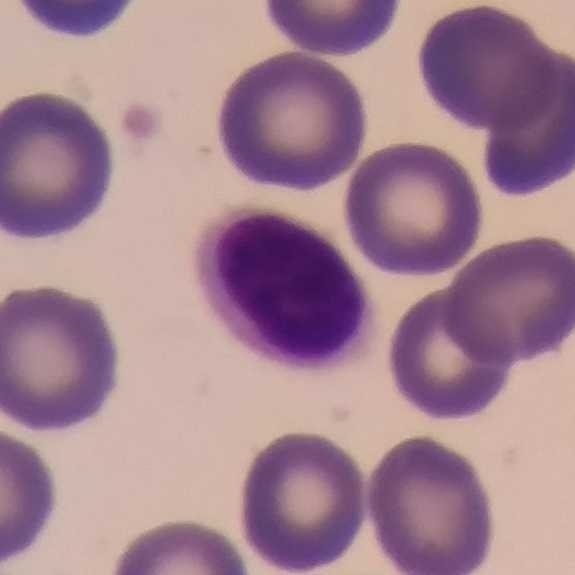Identified as a lymphocyte.